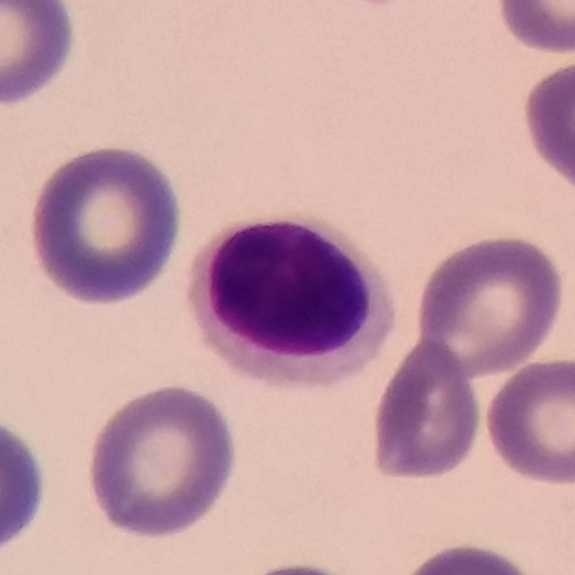
Cell — lymphocyte.